100× magnification; peripheral blood smear; single-cell field.
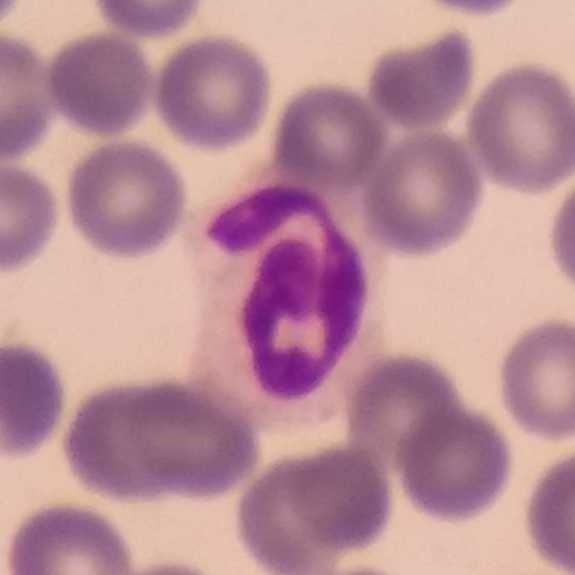The cell is neutrophil granulocyte.